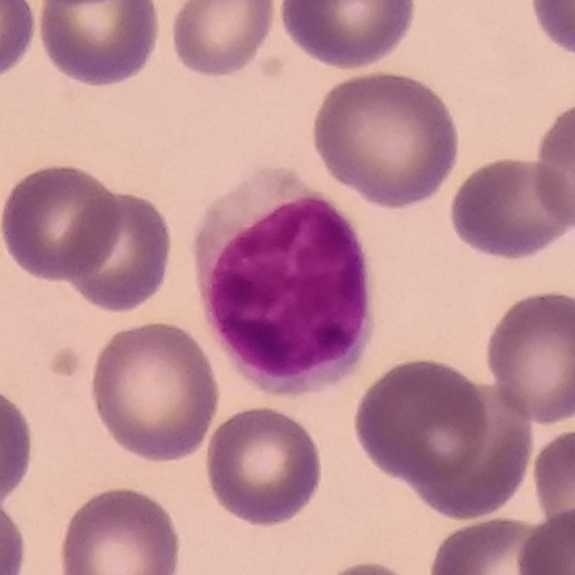Morphology consistent with a lymphocyte.